Magnification 100×; peripheral blood film:
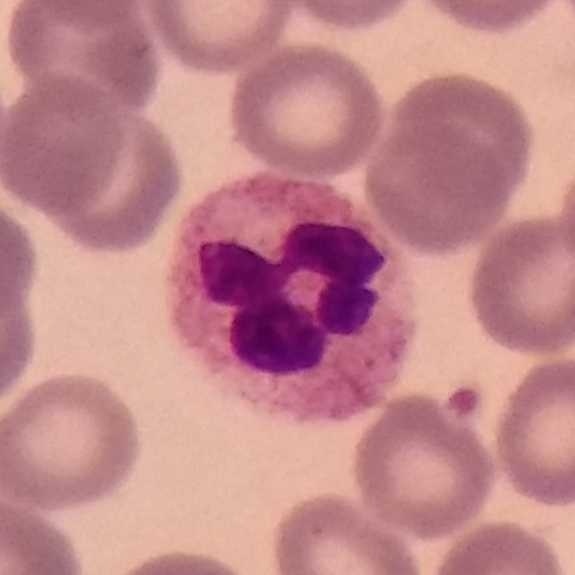
The white blood cell in this image is a neutrophil.